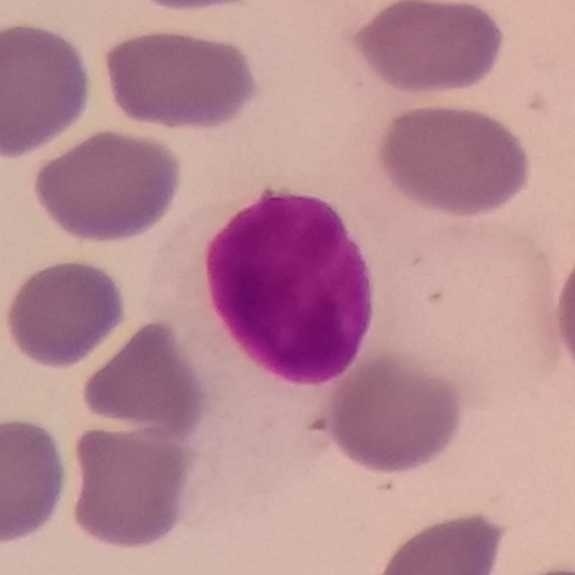
Q: What type of cell is this?
A: It is a lymphocyte. Peripheral blood smear.